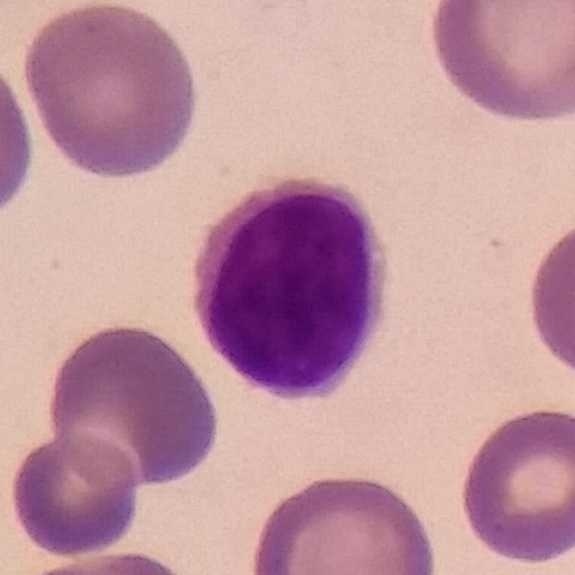
Peripheral blood film; single white blood cell cropped from the smear photograph.
Morphology — lymphocyte.